Stained with Giemsa. Image size 575×575. Peripheral blood smear — 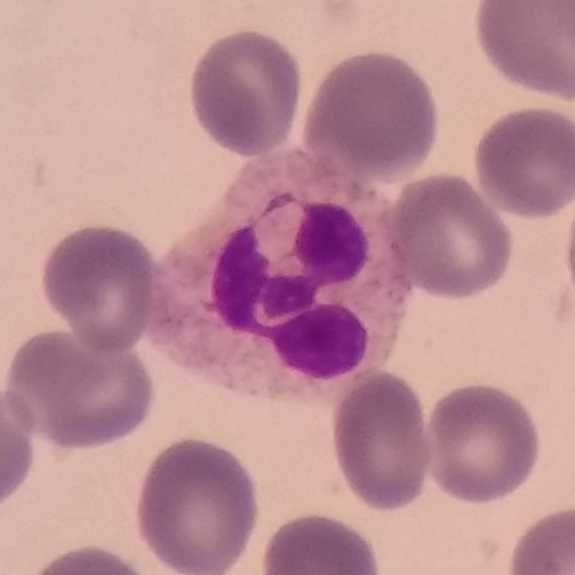 Q: What is the morphological classification of this cell?
A: Neutrophil.